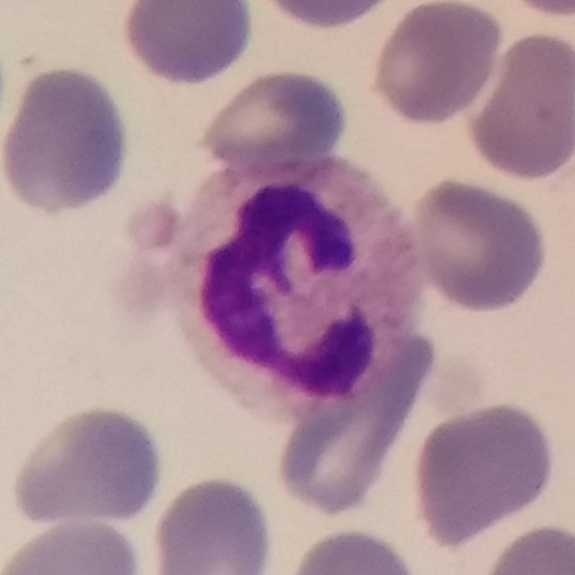A neutrophil on a peripheral blood smear.